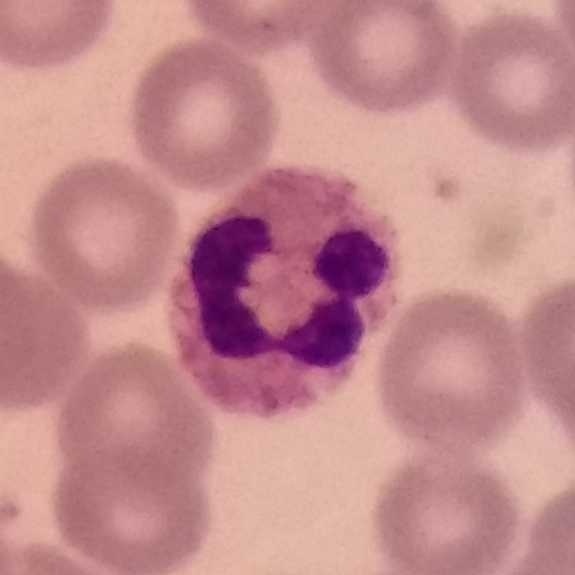

Q: What is the morphological classification of this cell?
A: It is a neutrophil.

Image: Peripheral blood smear · single-cell crop.